Peripheral blood smear:
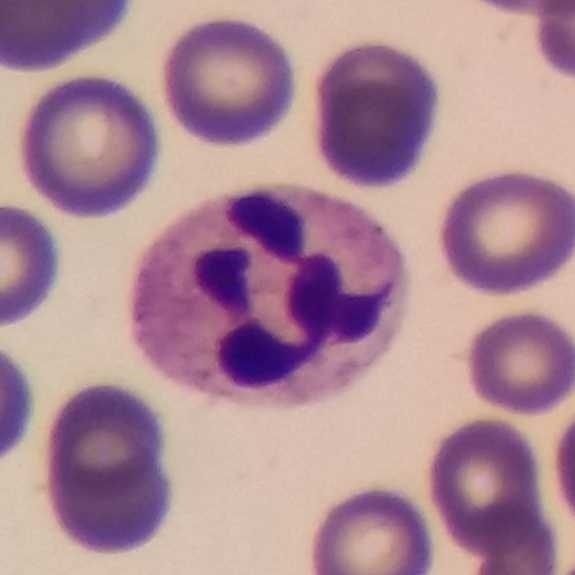Cell type: neutrophil.